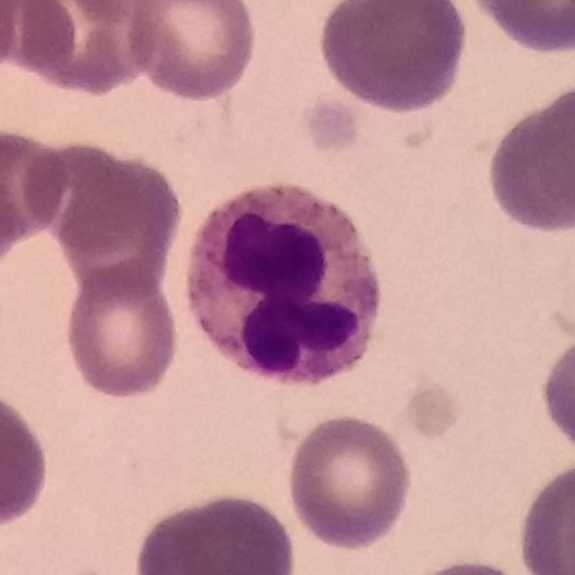 {"cell_type": "neutrophilic granulocyte", "lineage": "myeloid"}
Image: Peripheral blood film.